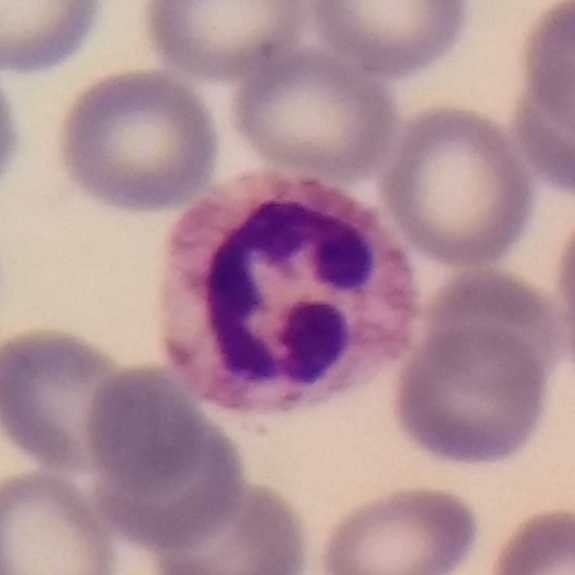

Impression — neutrophilic granulocyte.